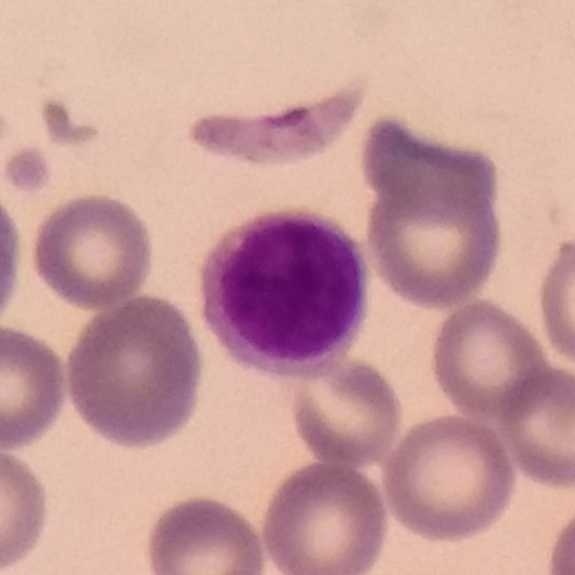
Impression — lymphocyte. Preparation: Peripheral blood film · 575×575 · single-cell field.